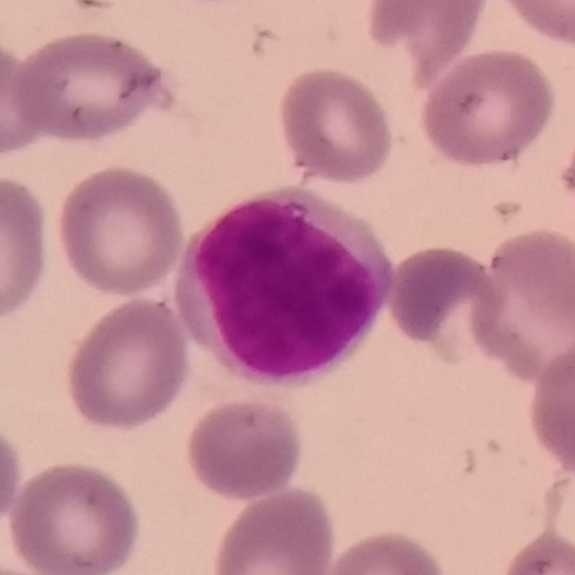
The cell type is lymphocyte.